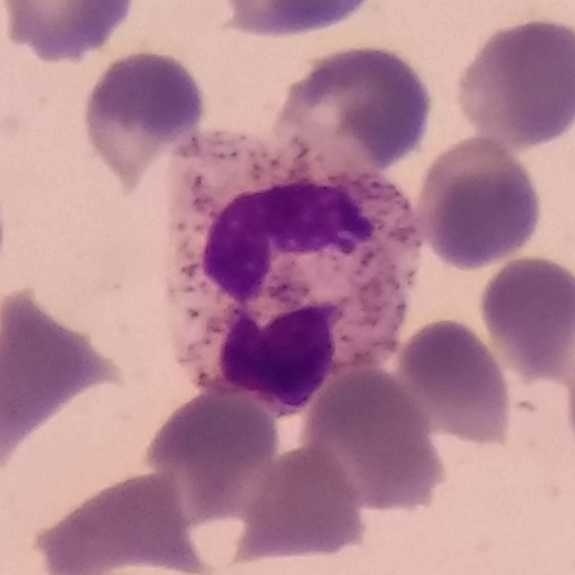
A neutrophilic granulocyte on a peripheral blood smear.